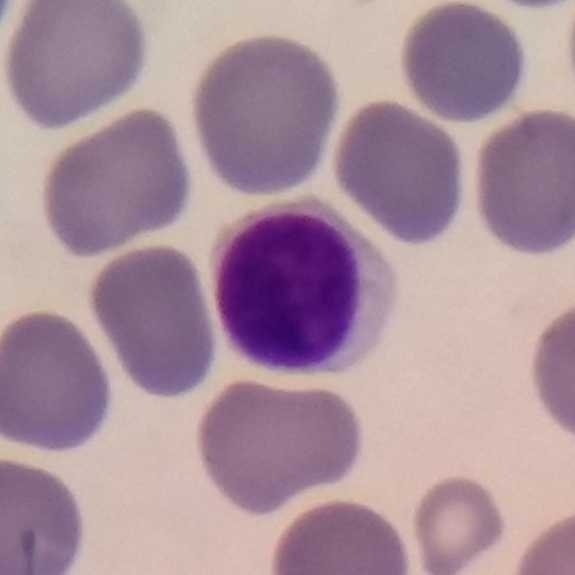

Morphology → lymphocyte.